Peripheral blood smear: 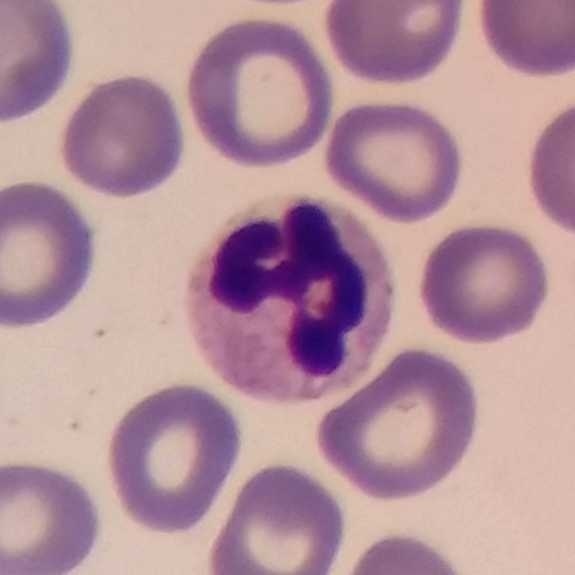

Q: Identify the cell.
A: This is a neutrophil.